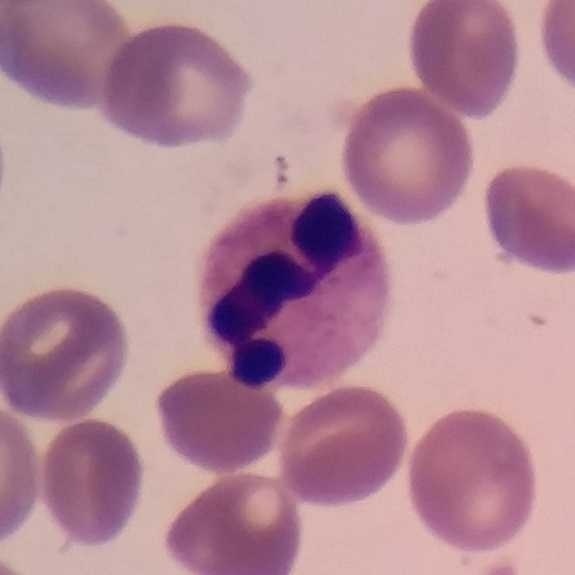
Image: Phone-camera image taken through the microscope ocular; peripheral blood film. Morphological class = neutrophil.